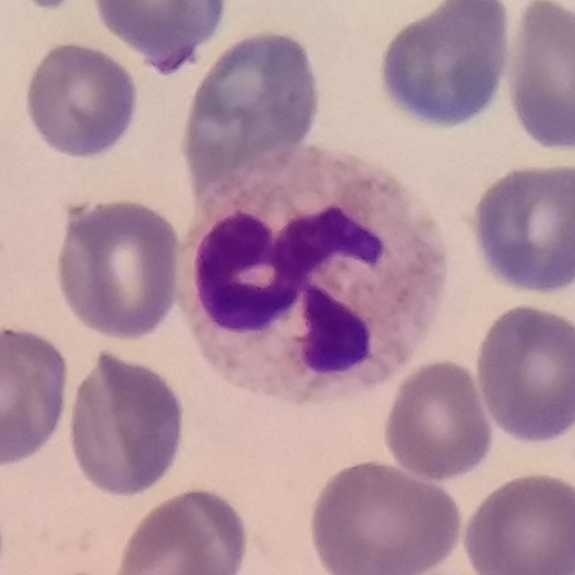

Identified as a neutrophil granulocyte.

Acquisition: Peripheral blood smear · photographed through a light microscope with a smartphone camera.